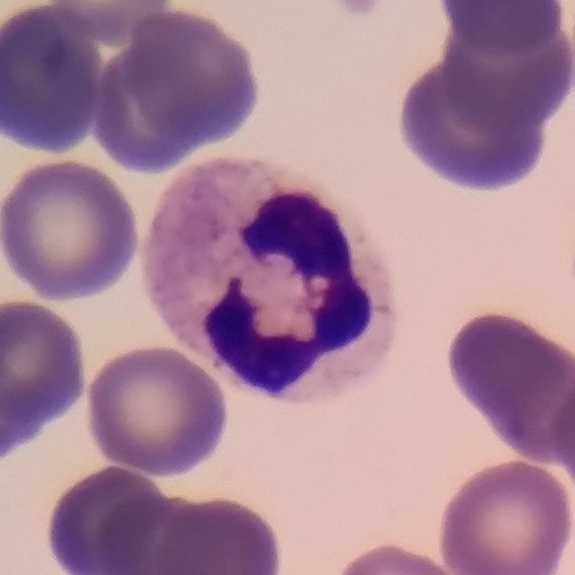Classification = neutrophil. Image: 575×575. Peripheral blood smear.